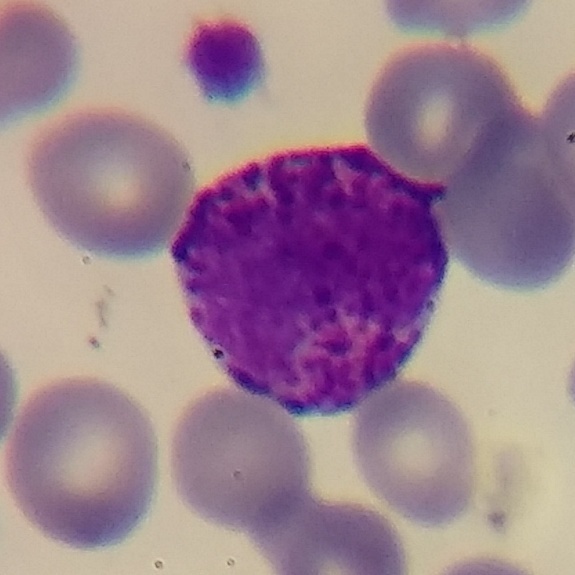
The white blood cell in this image is a basophilic granulocyte.
Peripheral blood smear.